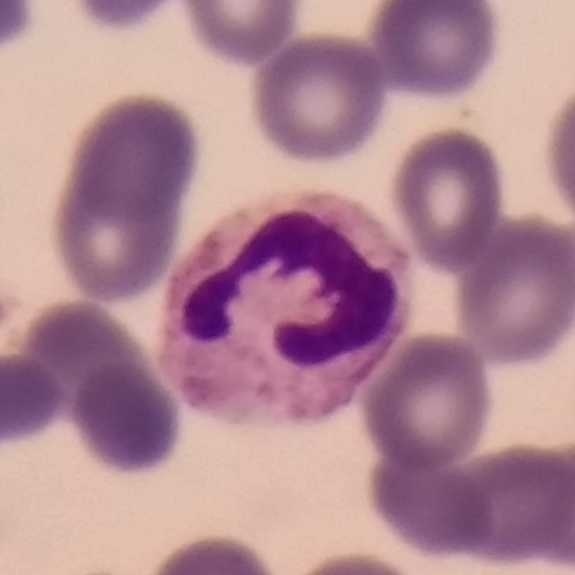

Peripheral blood film.

Q: What is shown here?
A: Neutrophil granulocyte.